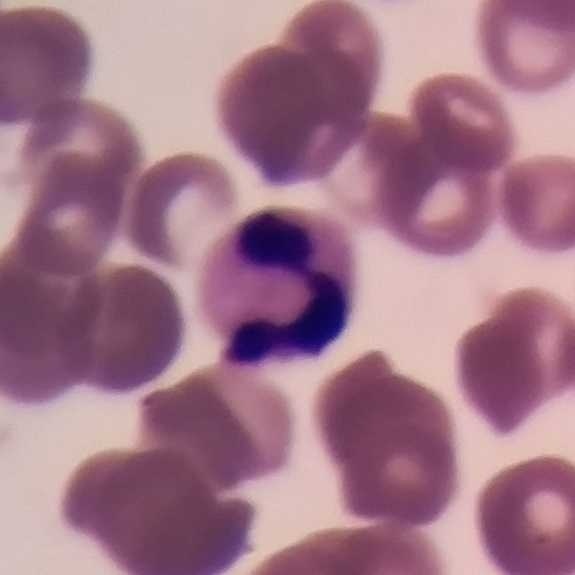 Smartphone camera mounted on the microscope eyepiece; peripheral blood smear. Showing a neutrophilic granulocyte.